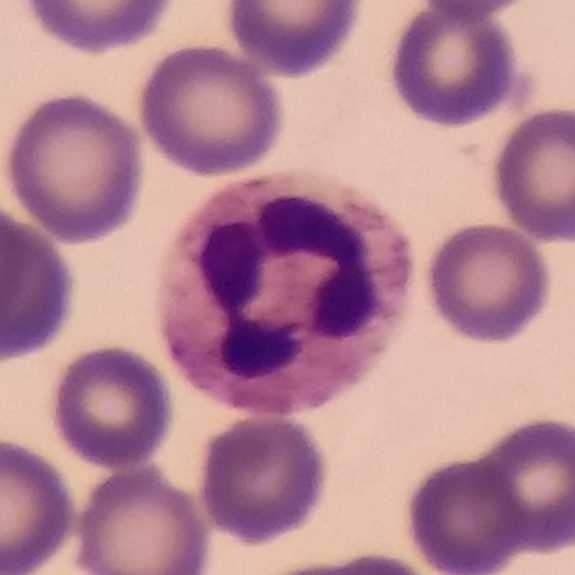 Neutrophil.